Peripheral blood film.
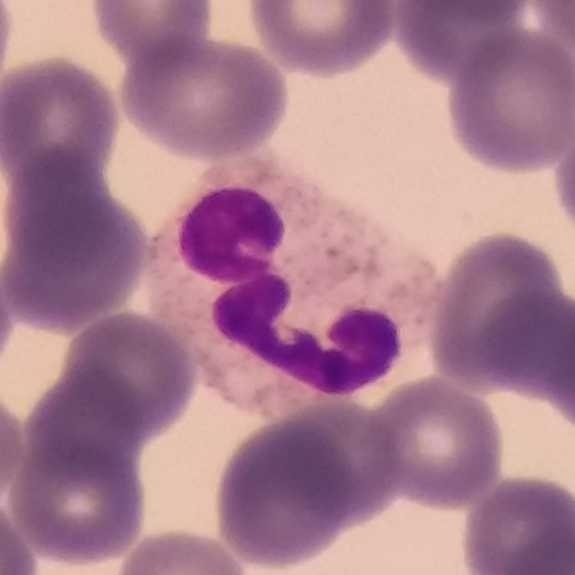{"cell_type": "neutrophil", "lineage": "myeloid"}